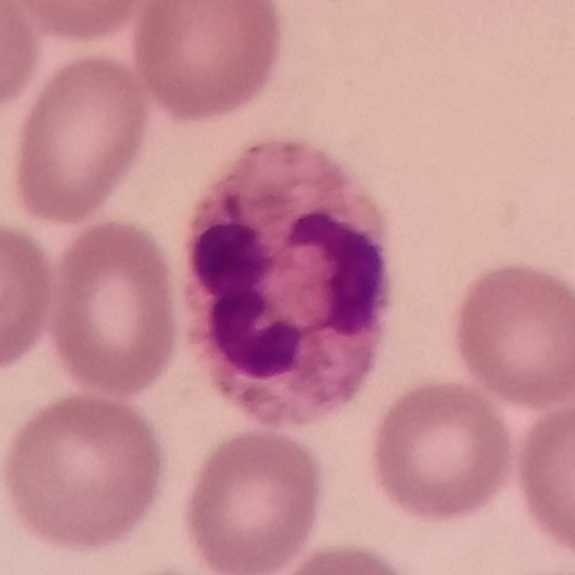 Impression — neutrophil granulocyte.